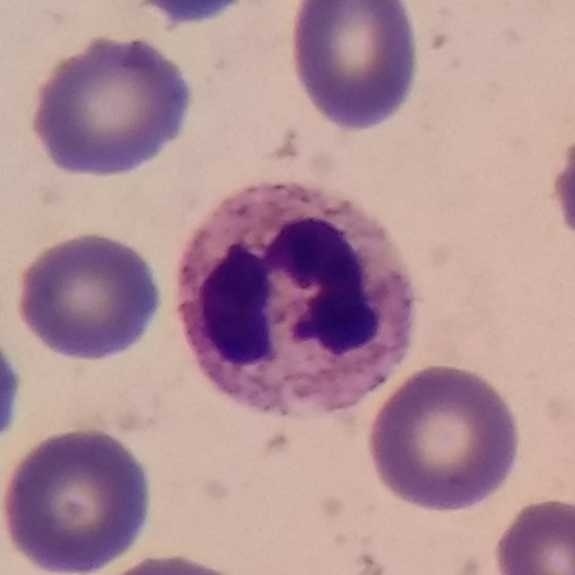Morphology → neutrophil. Peripheral blood film · image size 575×575.